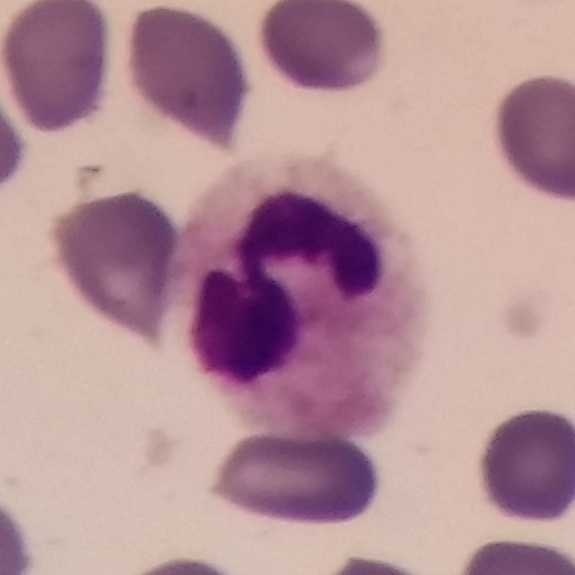

Showing a neutrophil.